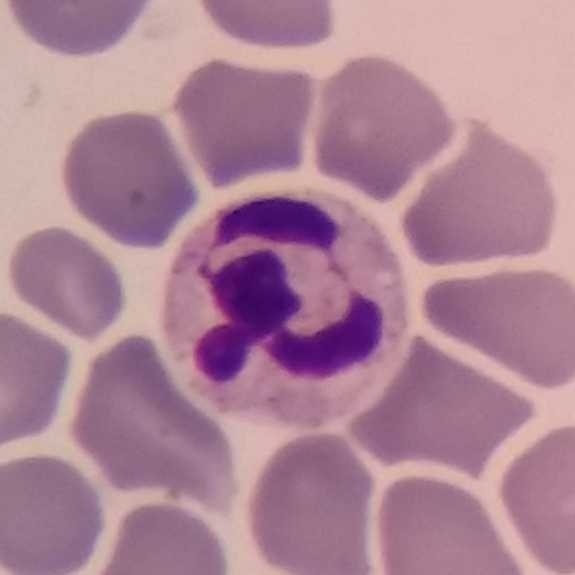Peripheral blood smear showing a neutrophilic granulocyte.